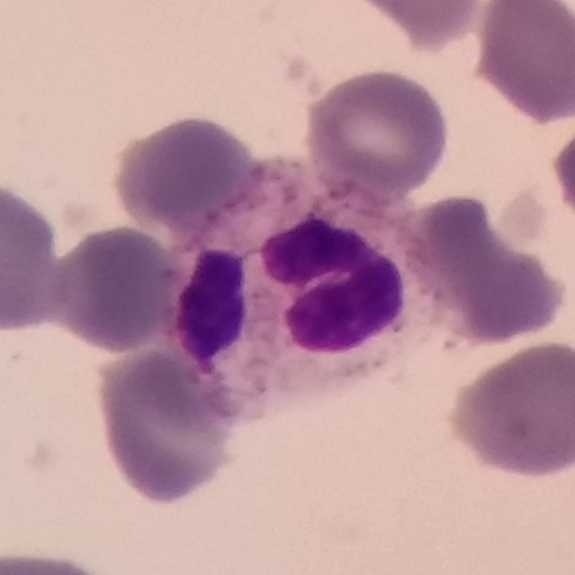
Neutrophilic granulocyte.